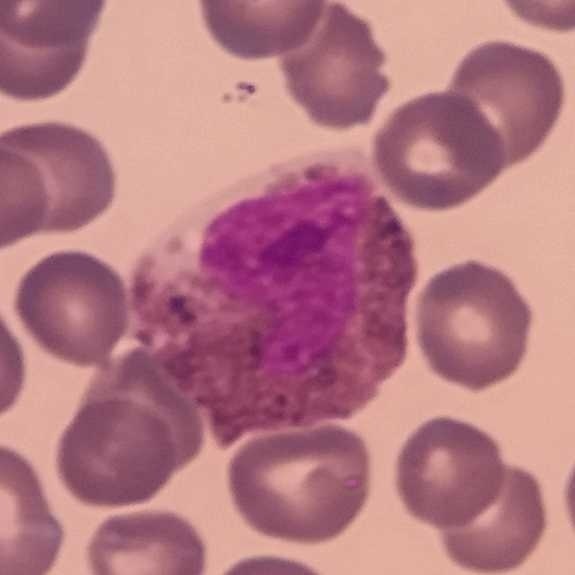 Giemsa-stained · peripheral blood film.

The cell is eosinophilic granulocyte.